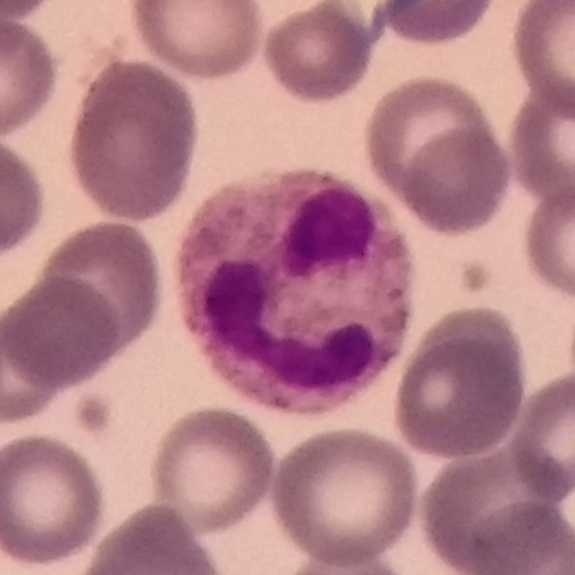Specimen: peripheral blood smear.
Cell: neutrophilic granulocyte.

Image: Photographed through a light microscope with a smartphone camera · 575×575 px.